Phone-camera image taken through the microscope ocular; peripheral blood smear: 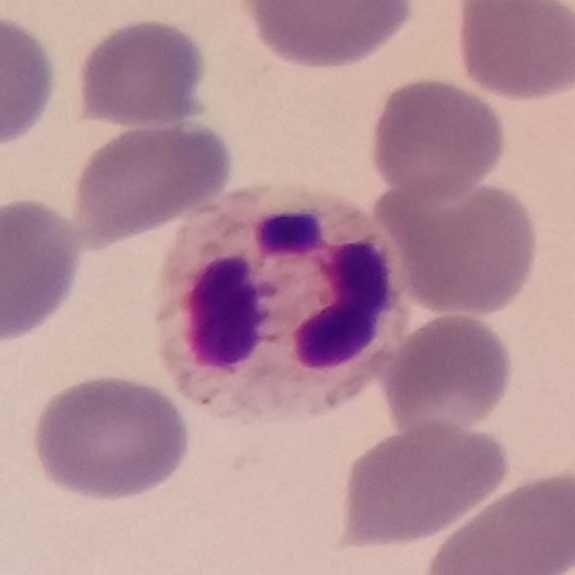 Q: What is the morphological classification of this cell?
A: Neutrophilic granulocyte.